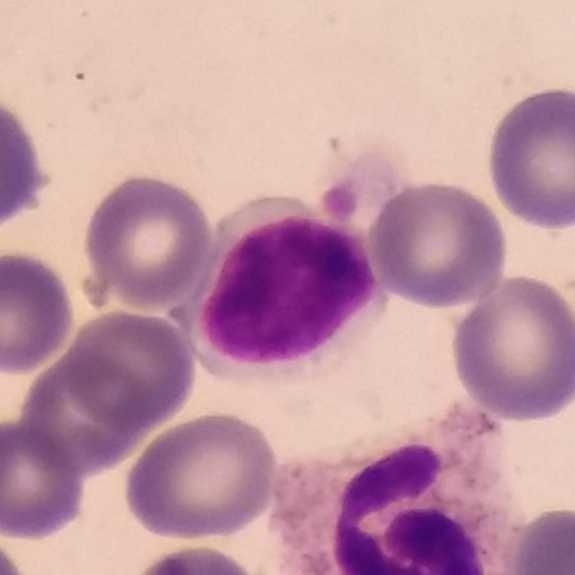Lymphocyte. Acquisition: Peripheral blood film · magnification 100×.